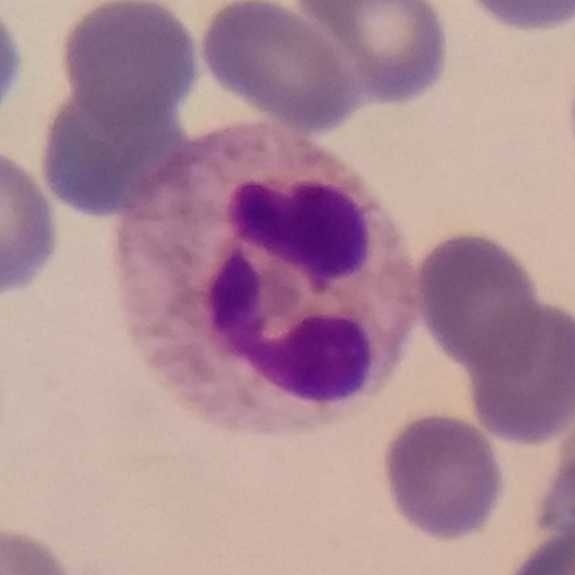
Preparation: Peripheral blood smear. Q: Classify this leukocyte.
A: This is a neutrophilic granulocyte.